Peripheral blood film.
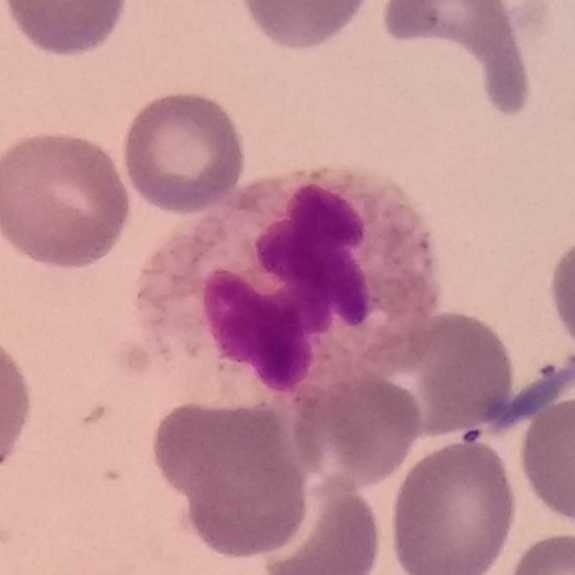

Morphological class: neutrophil granulocyte.